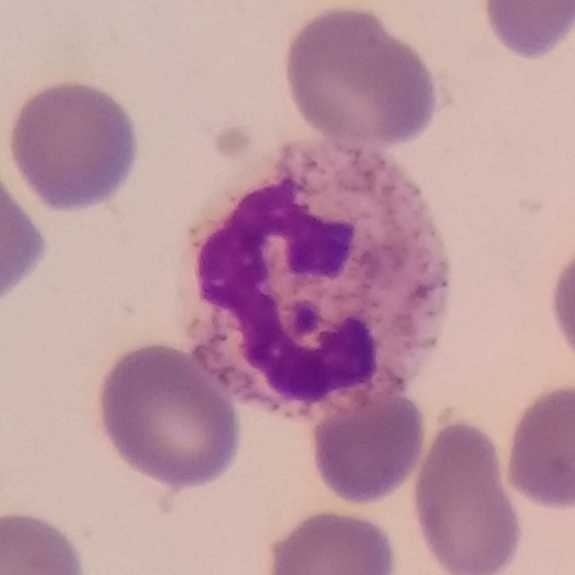

Identified as a neutrophil granulocyte.
Image: Peripheral blood smear.